Image size 575×575. Photographed through a light microscope with a smartphone camera. Peripheral blood film
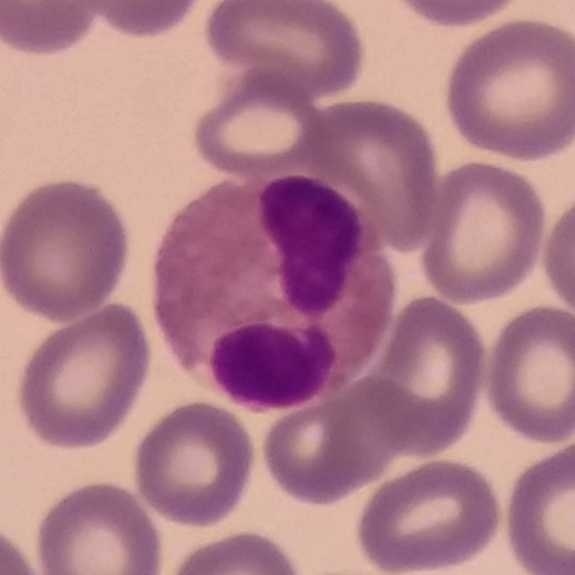 The classification is eosinophilic granulocyte.